Image size 575×575. Smartphone camera mounted on the microscope eyepiece. Peripheral blood smear:
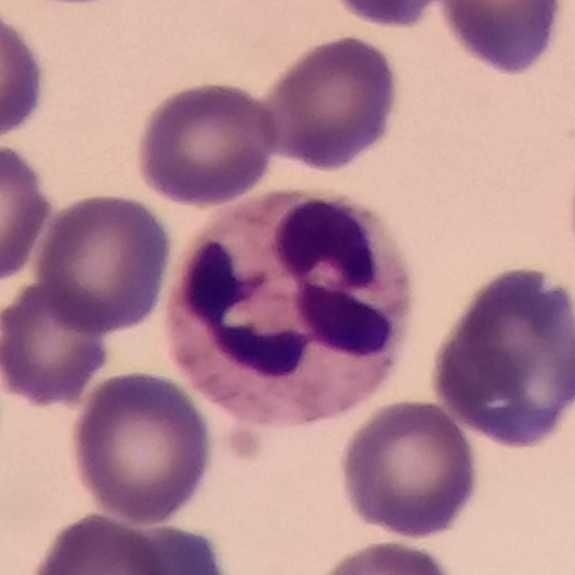 A neutrophil.